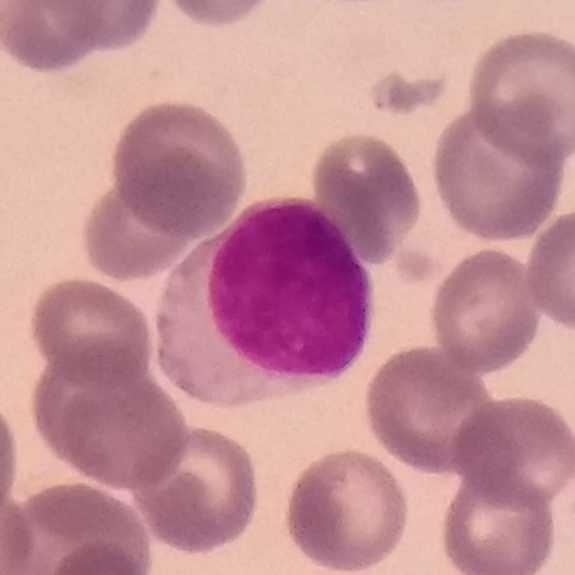

Single cell identified as a lymphocyte.

Preparation: Peripheral blood film.